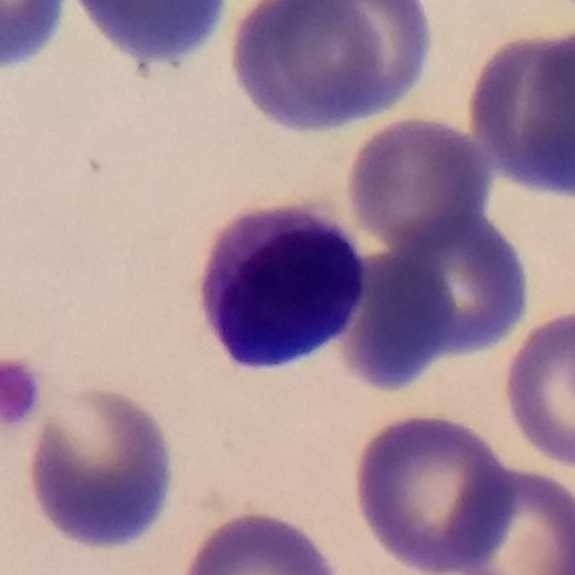Peripheral blood smear showing a lymphocyte.